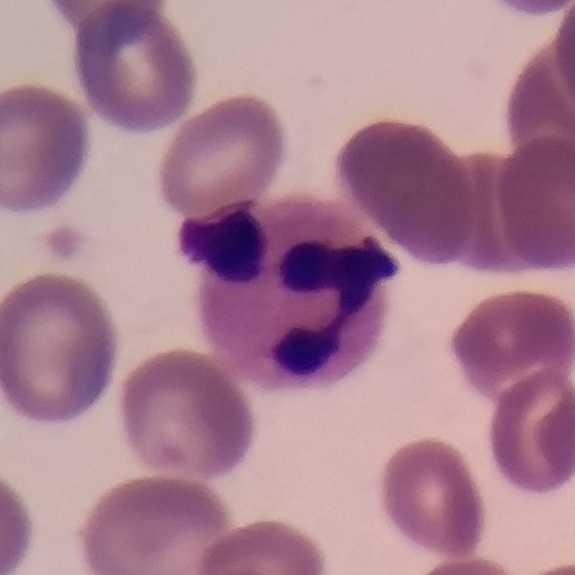

The morphological class is neutrophilic granulocyte.